Peripheral blood film
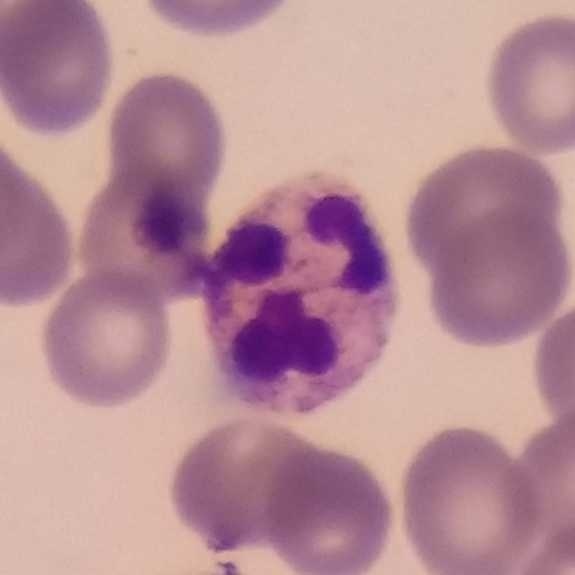 Classification = neutrophil granulocyte.